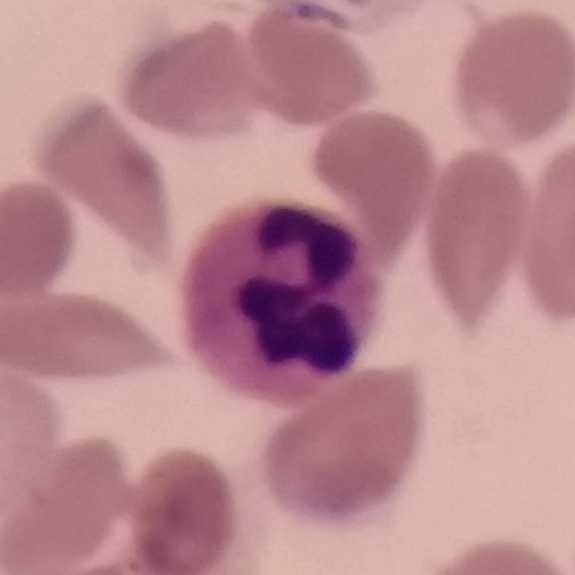
Specimen: peripheral blood smear.
Morphological class: neutrophil granulocyte.
Lineage: myeloid.